Peripheral blood film.
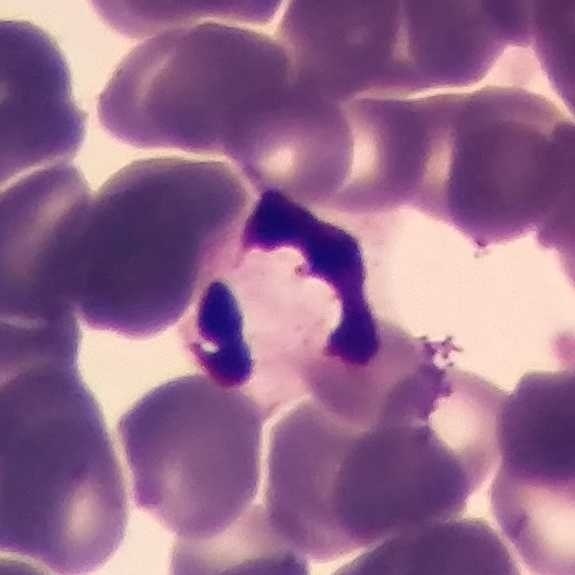Q: What is this?
A: This is a neutrophil.